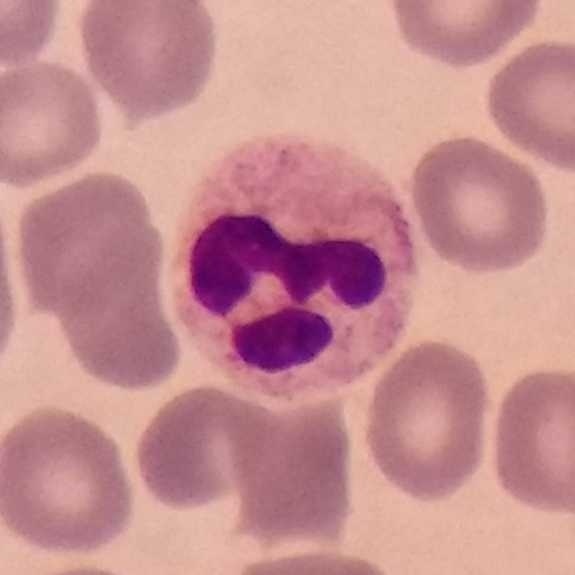
Acquisition: Peripheral blood smear.
The white blood cell in this image is a neutrophil.